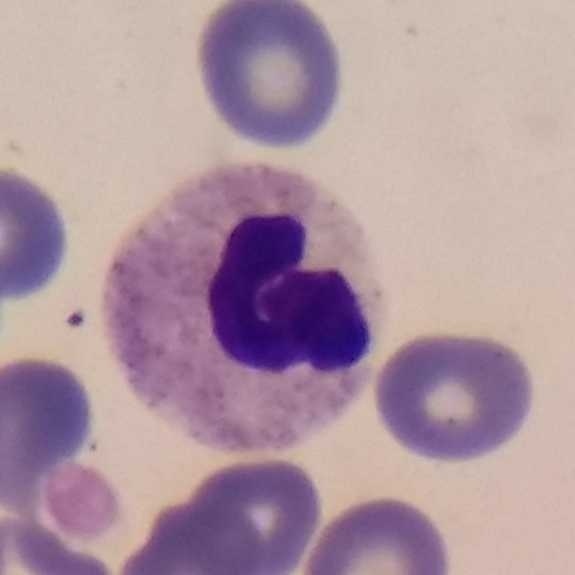

Cell — neutrophil.
Peripheral blood smear.